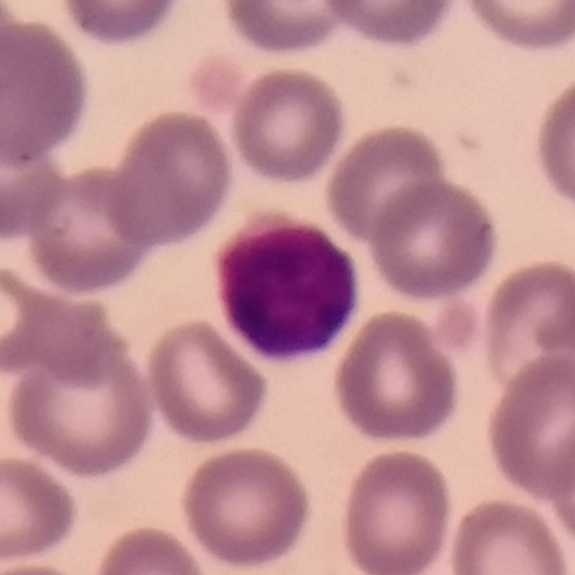{"cell_type": "lymphocyte"}
Preparation: Peripheral blood film.